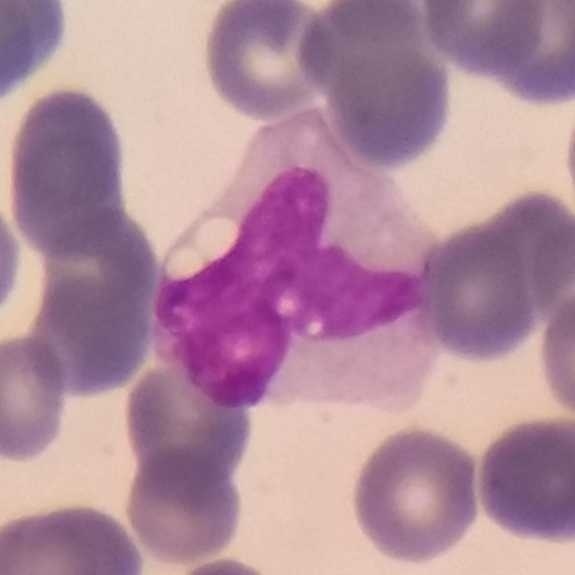
Peripheral blood film. Impression — monocyte.